Peripheral blood smear — 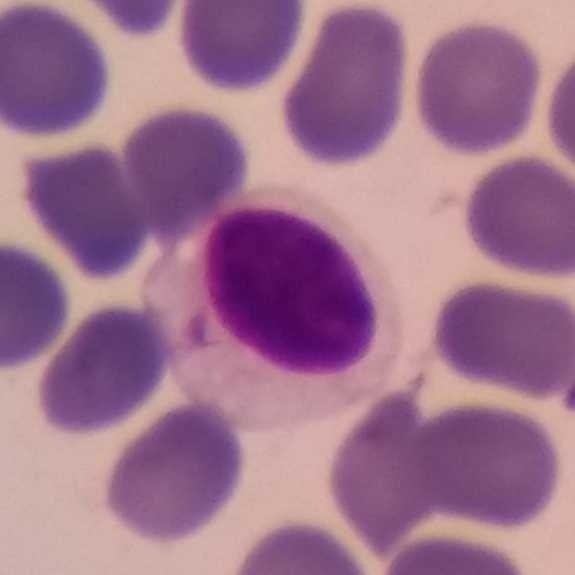 Showing a lymphocyte.